Peripheral blood smear: 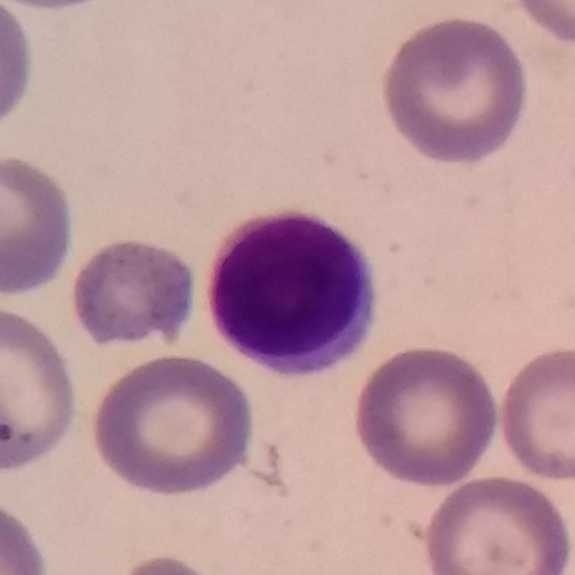

Lymphocyte.